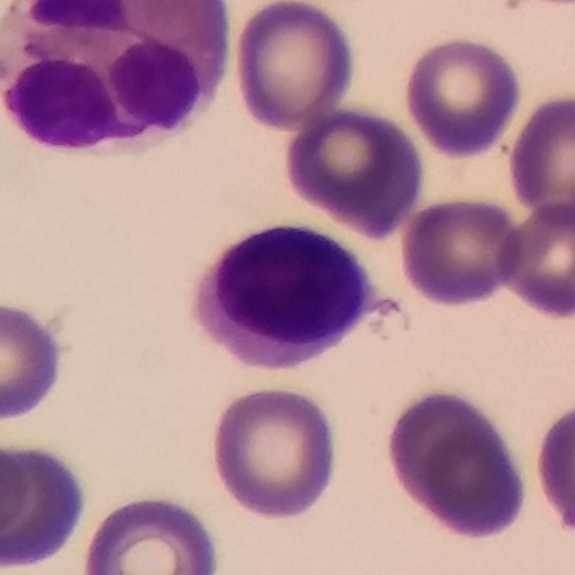
Specimen: peripheral blood smear.
Cell: lymphocyte.
Lineage: lymphoid. Context: 100× magnification.